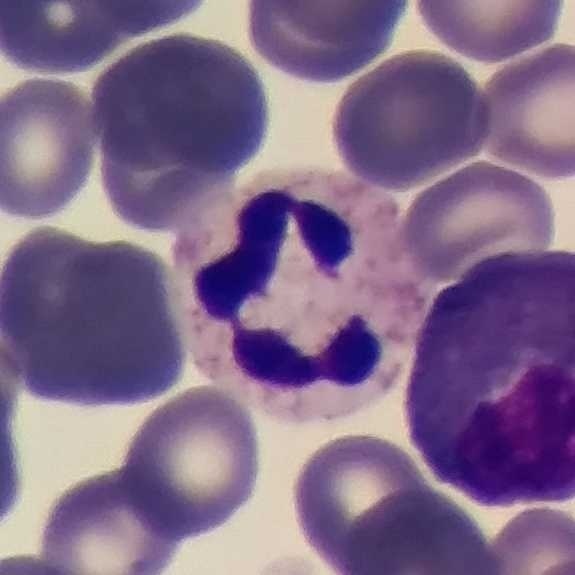
Preparation: Peripheral blood film. Image size 575×575.
Showing a neutrophil.